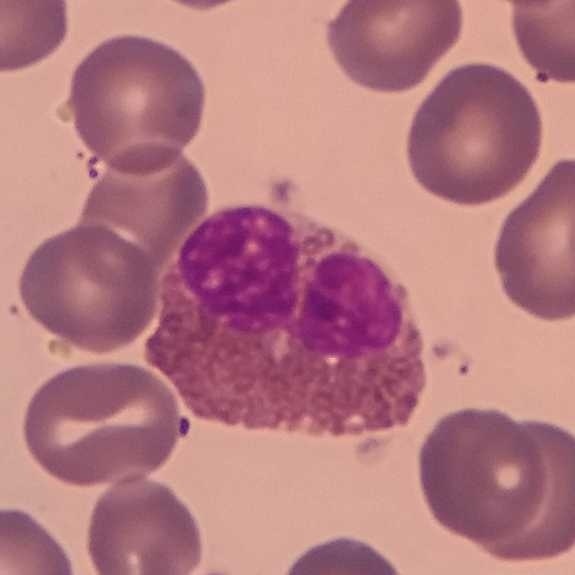
Morphology consistent with an eosinophilic granulocyte. Context: Peripheral blood smear.